Peripheral blood film:
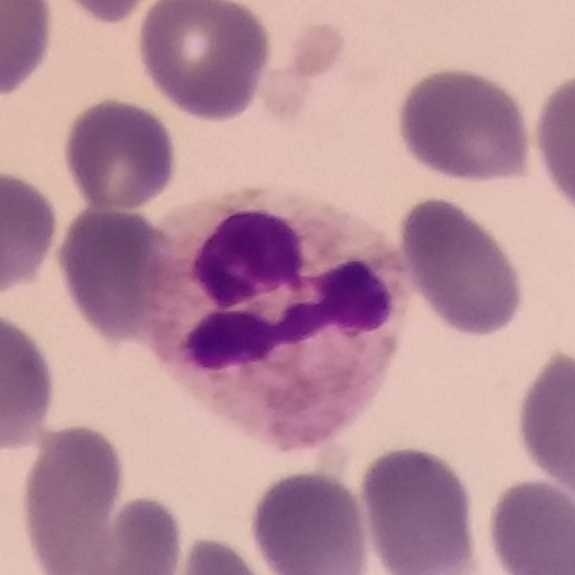
A neutrophilic granulocyte.